Peripheral blood smear: 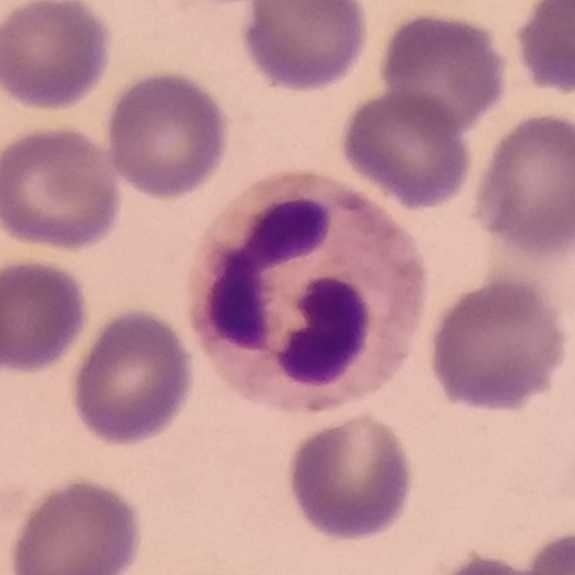
Q: Classify this leukocyte.
A: A neutrophil.